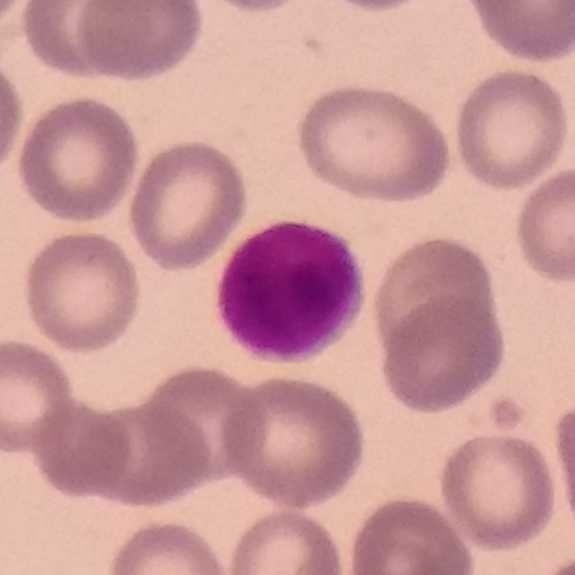 {"cell_type": "lymphocyte"} Preparation: Peripheral blood film · 575 by 575 pixels · photographed through a light microscope with a smartphone camera.